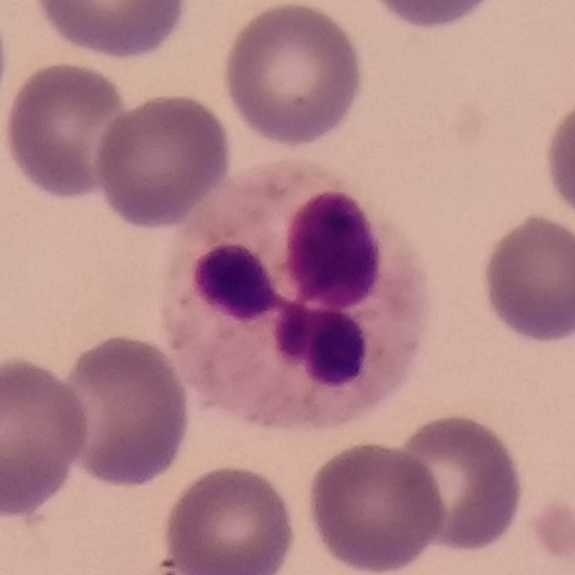Specimen: peripheral blood film.
White blood cell type: neutrophil.